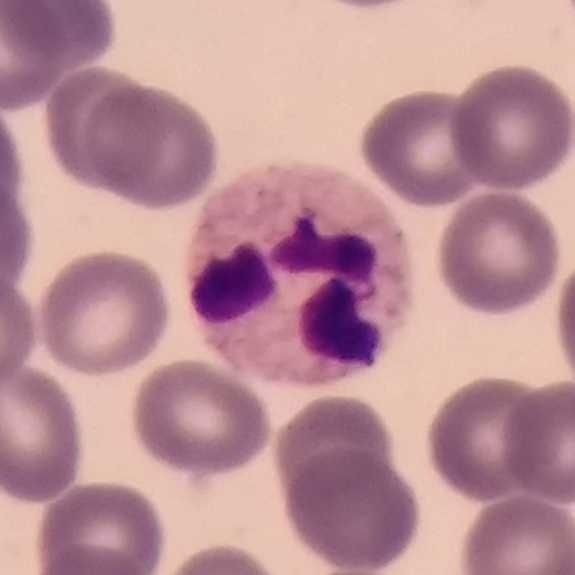
Morphology — neutrophilic granulocyte.